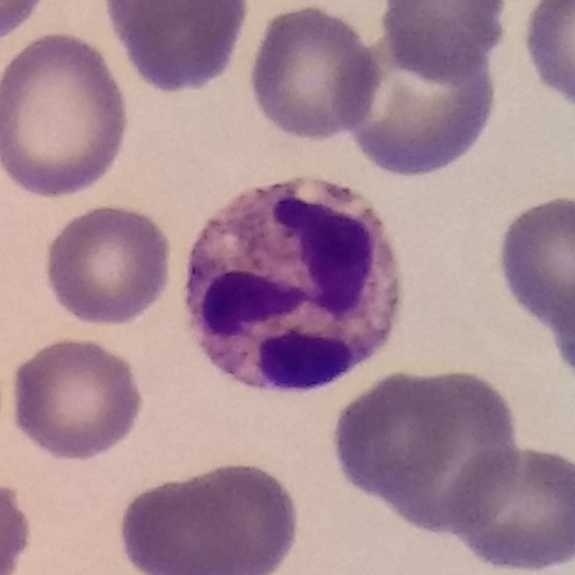

This is a neutrophil. Preparation: Single white blood cell cropped from the smear photograph · peripheral blood smear.